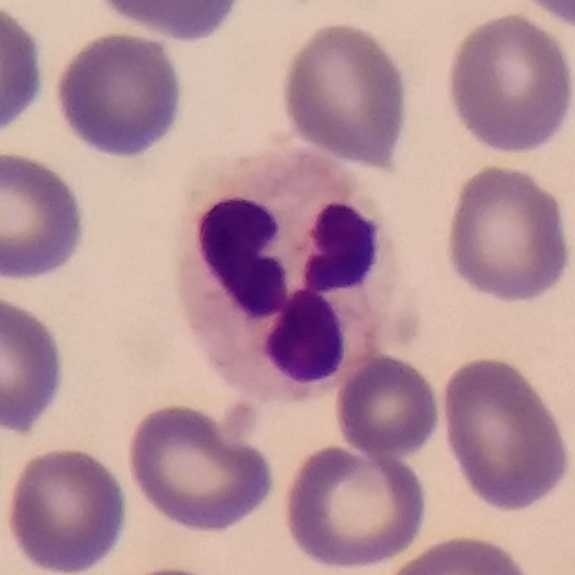

Cell type — neutrophilic granulocyte.
Smartphone photomicrograph. Peripheral blood smear.